Photographed through a light microscope with a smartphone camera. 100× magnification. Peripheral blood film:
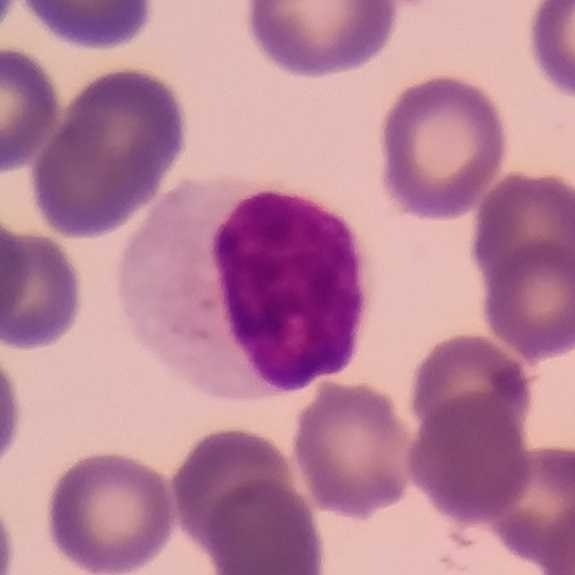 Single cell identified as a lymphocyte.